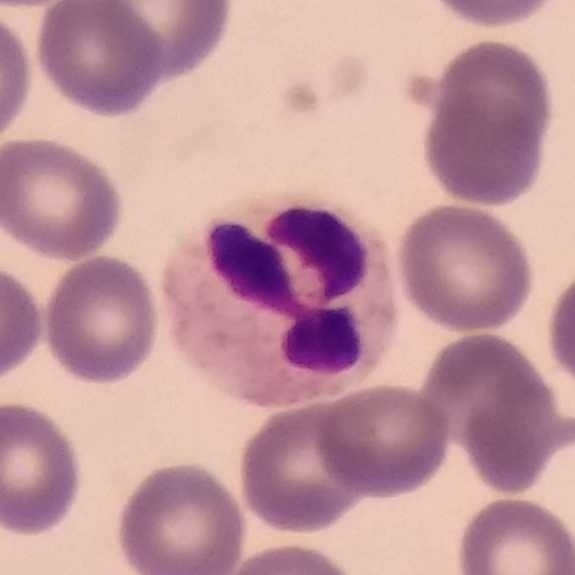 A neutrophil.